Peripheral blood film
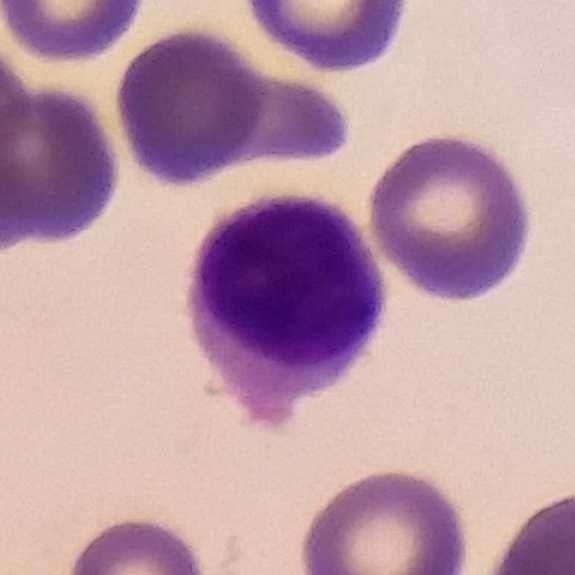Specimen: peripheral blood smear.
Cell: lymphocyte.
Lineage: lymphoid.